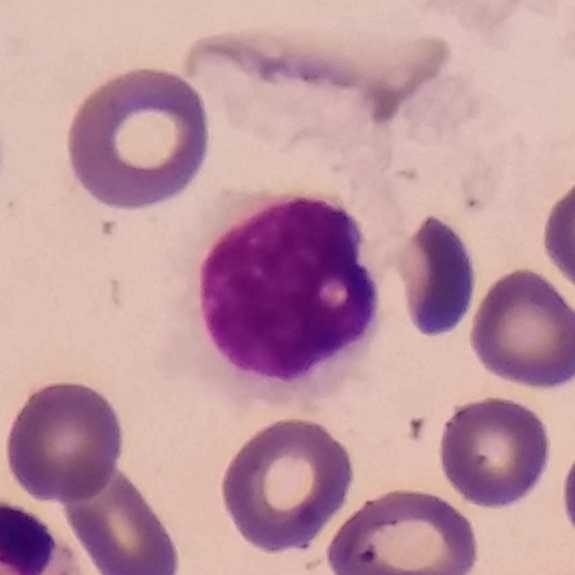 Showing a lymphocyte.

Peripheral blood smear.